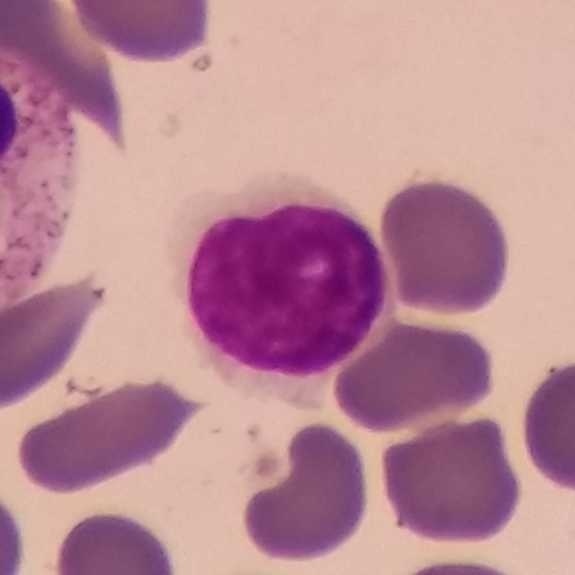

Identified as a lymphocyte.

Preparation: Peripheral blood smear.